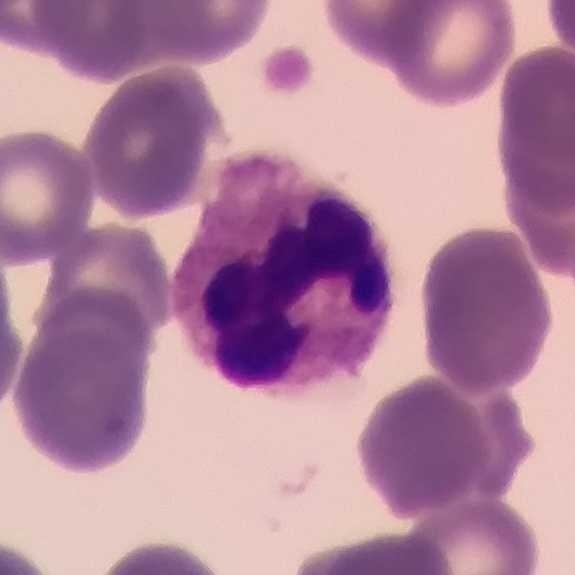 Impression → neutrophil.